Peripheral blood film; single-cell field — 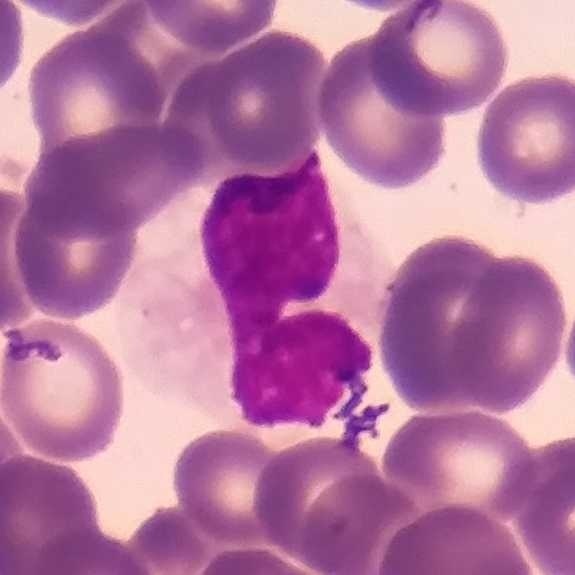

Cell = monocyte.